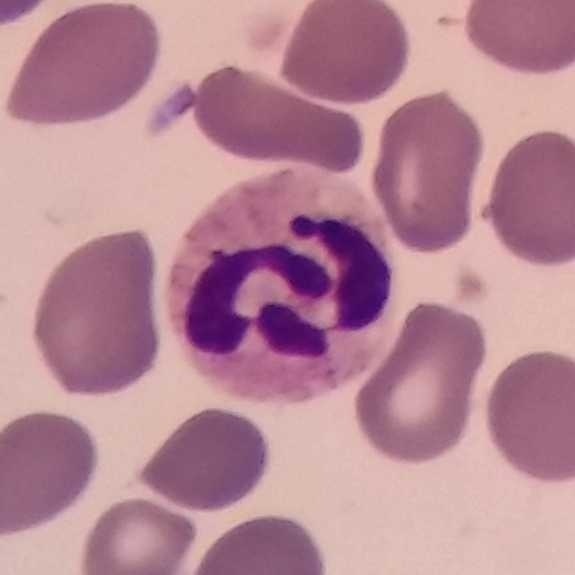Smartphone camera mounted on the microscope eyepiece.

Specimen: peripheral blood film.
Morphological class: neutrophilic granulocyte.
Lineage: myeloid.